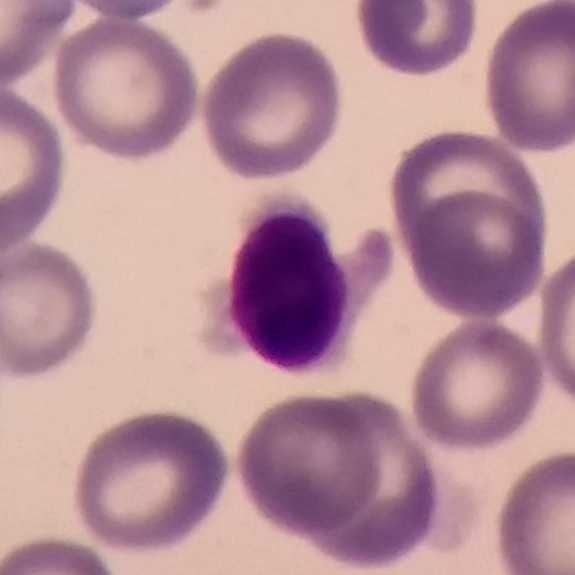Peripheral blood film. Single-cell crop.

Showing a lymphocyte.